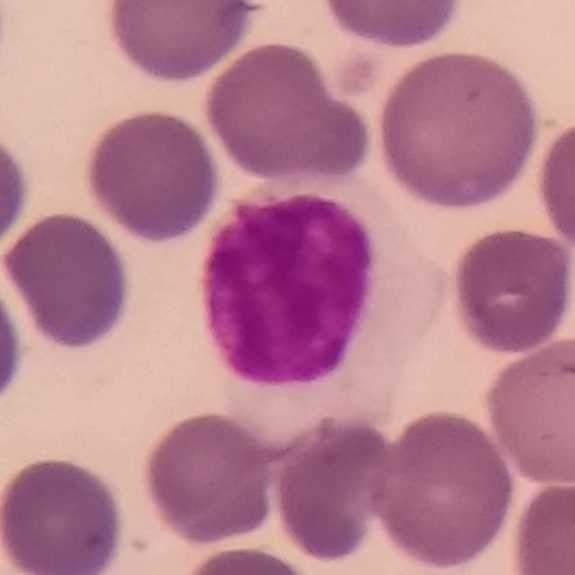 Q: What is this?
A: Lymphocyte. Preparation: Peripheral blood film.